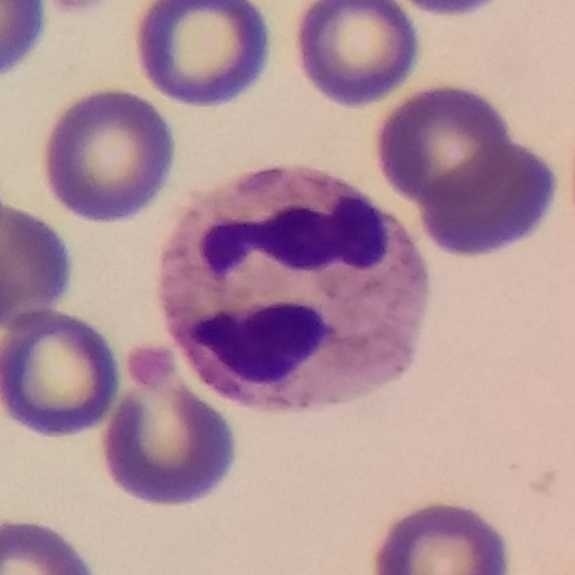

Image: Peripheral blood smear. Single cell identified as a neutrophil.